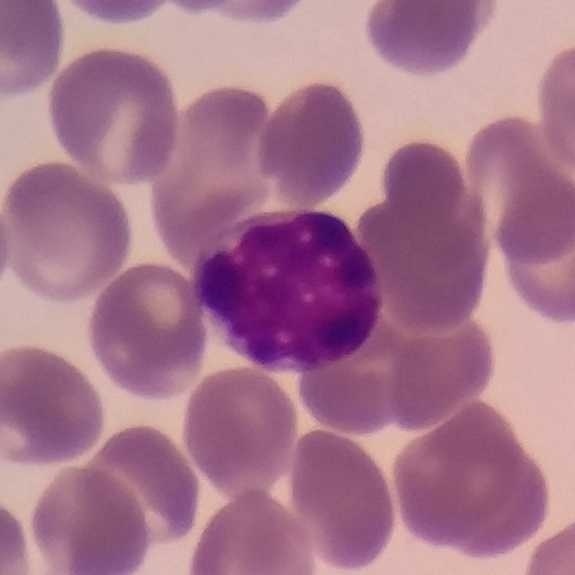

Showing a lymphocyte.